Stained with Giemsa. Peripheral blood smear. Single-cell crop — 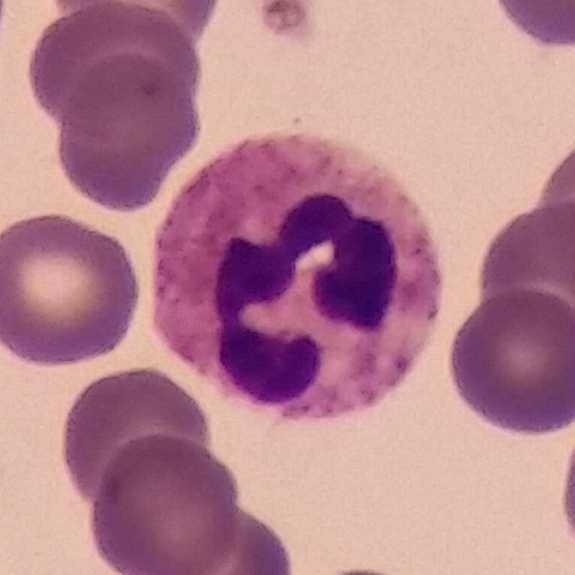

Cell type: neutrophilic granulocyte.